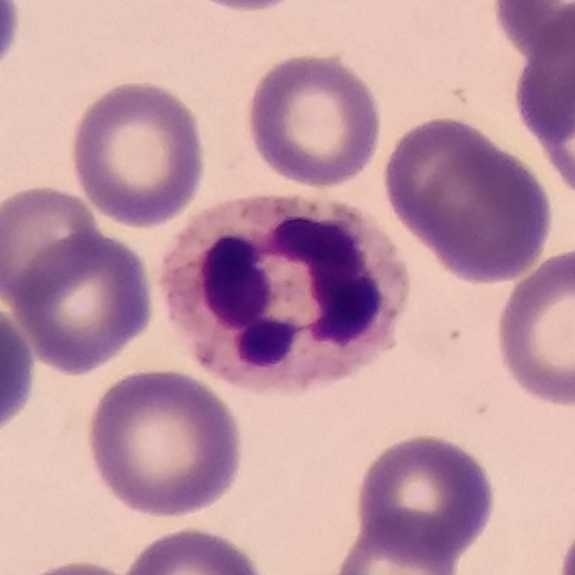
Q: What is this?
A: It is a neutrophil granulocyte.
Peripheral blood smear.